Peripheral blood smear — 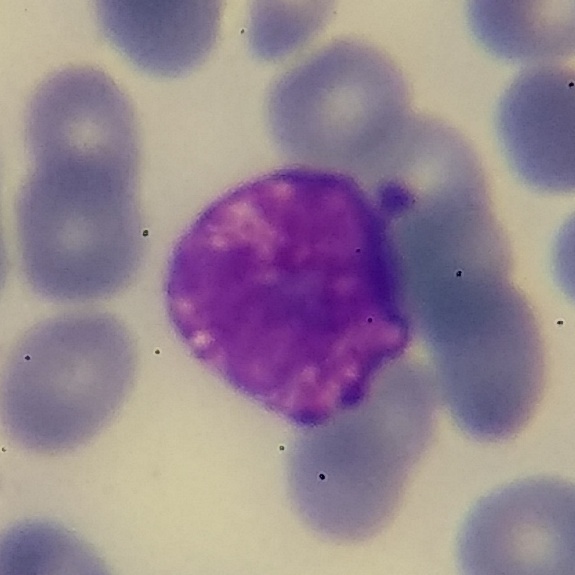The cell is basophilic granulocyte.